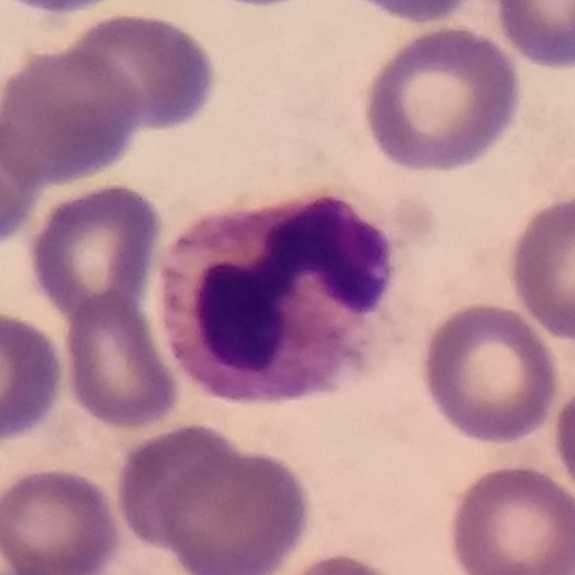

Q: What is shown here?
A: A neutrophil granulocyte.

Context: Peripheral blood film.